Image size 575×575 · peripheral blood smear
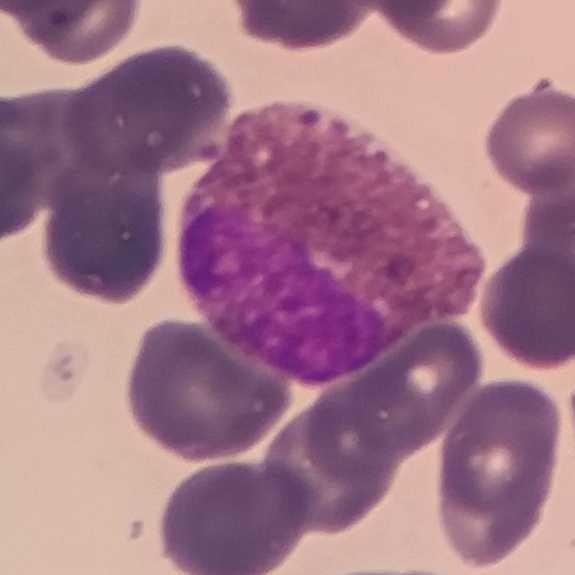Morphology → eosinophil.